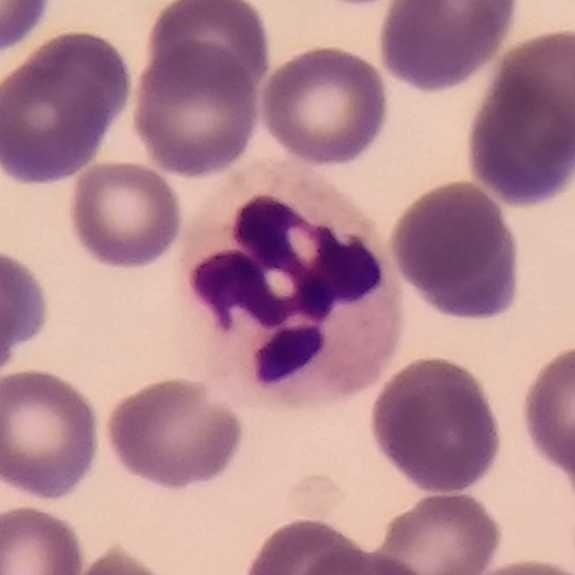 Single-cell crop from a peripheral blood smear: neutrophil granulocyte.